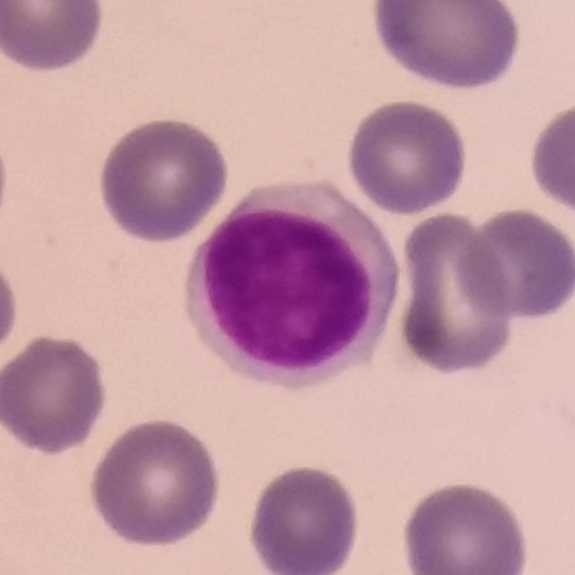Cell type — lymphocyte.

Context: Peripheral blood smear.